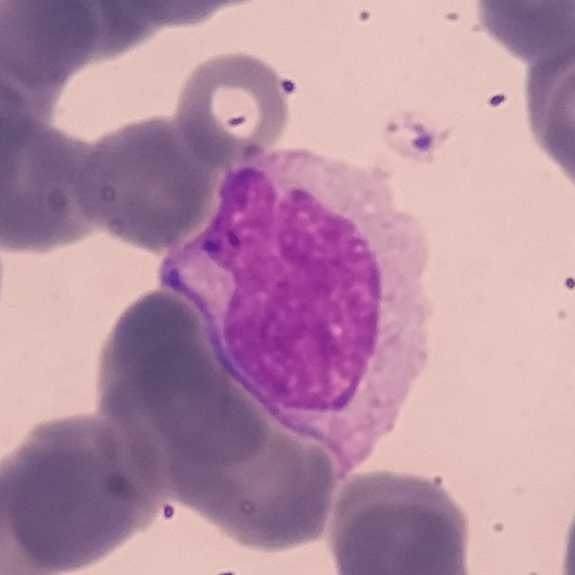

Single cell identified as a monocyte. Image: Single white blood cell cropped from the smear photograph. Peripheral blood smear.